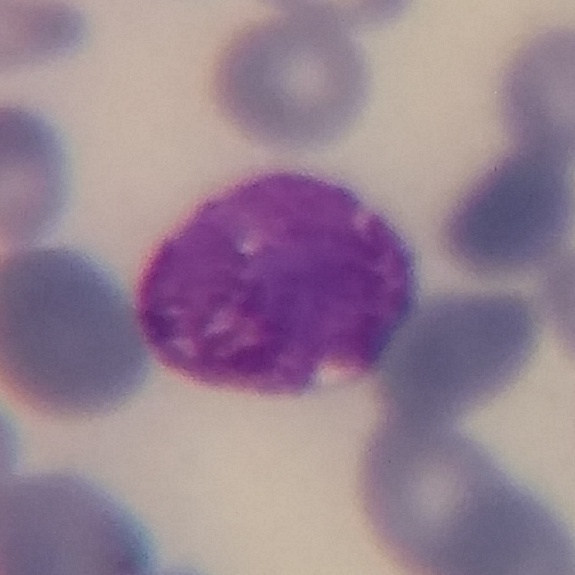

The cell shown is a basophil.
Context: Single-cell field; peripheral blood smear.